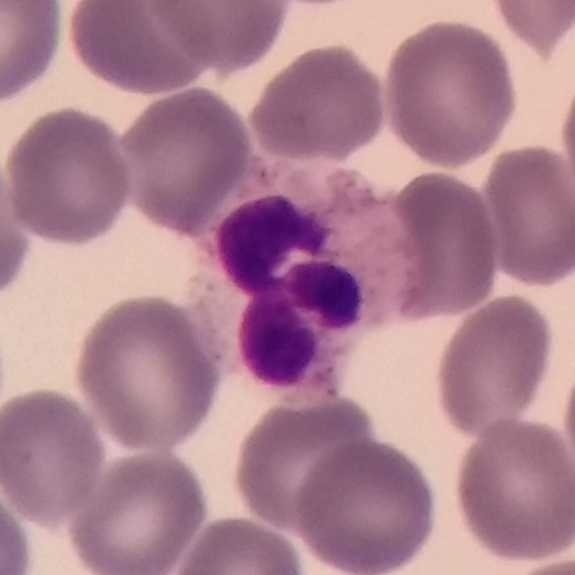

Q: Which type of white blood cell is this?
A: A neutrophil granulocyte.